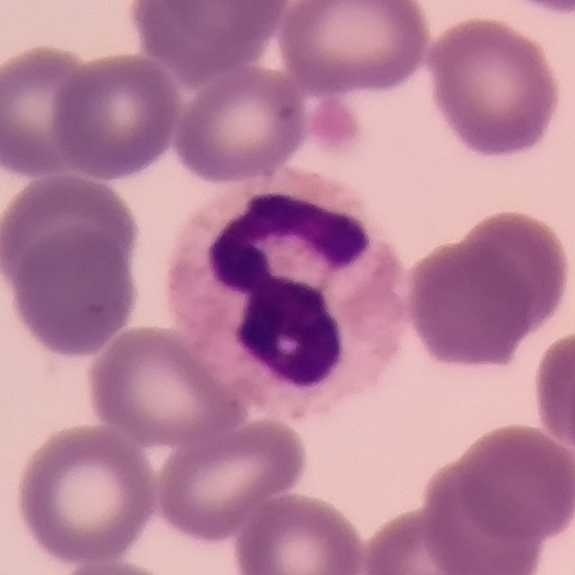
Specimen: peripheral blood smear.
Classification: neutrophil granulocyte.